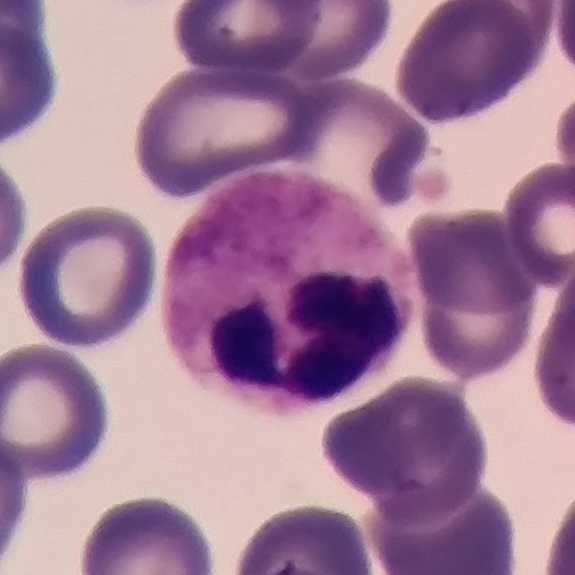 Cell type — neutrophilic granulocyte.